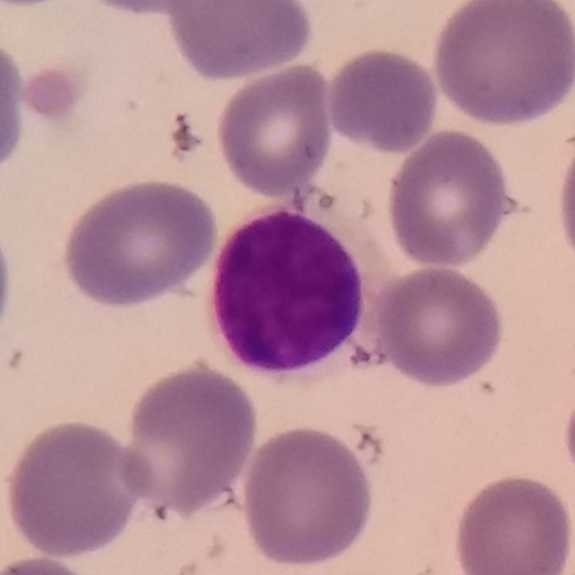Q: What type of cell is this?
A: Lymphocyte.

Acquisition: Peripheral blood smear.